Single white blood cell cropped from the smear photograph. Peripheral blood smear. Photographed through a light microscope with a smartphone camera — 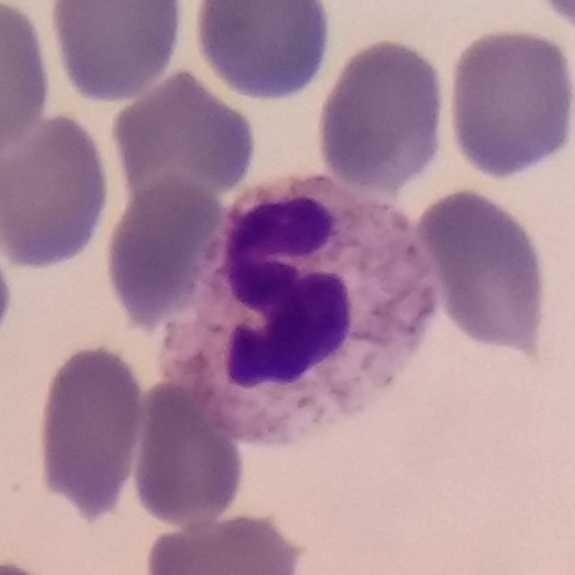
The cell shown is a neutrophilic granulocyte.